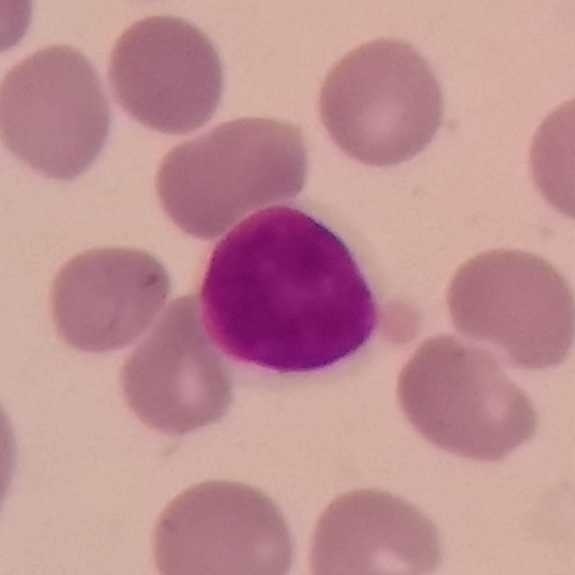 Context: Peripheral blood smear; magnification 100×; cropped to one leukocyte. Morphology — lymphocyte.